Peripheral blood smear. Cropped to one leukocyte: 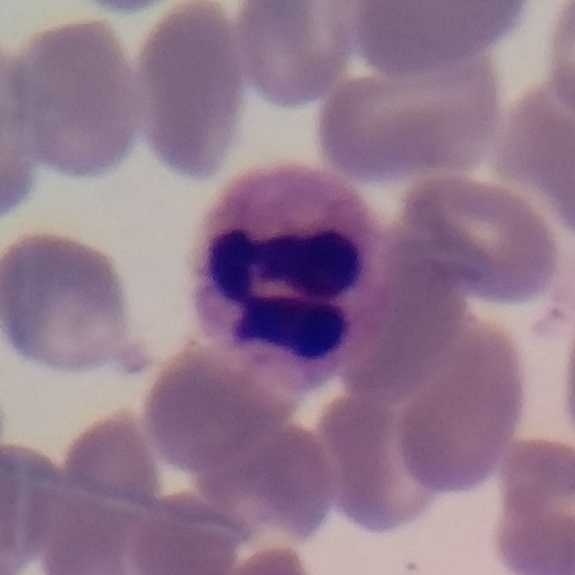Specimen: peripheral blood smear.
Cell: neutrophil.
Lineage: myeloid.